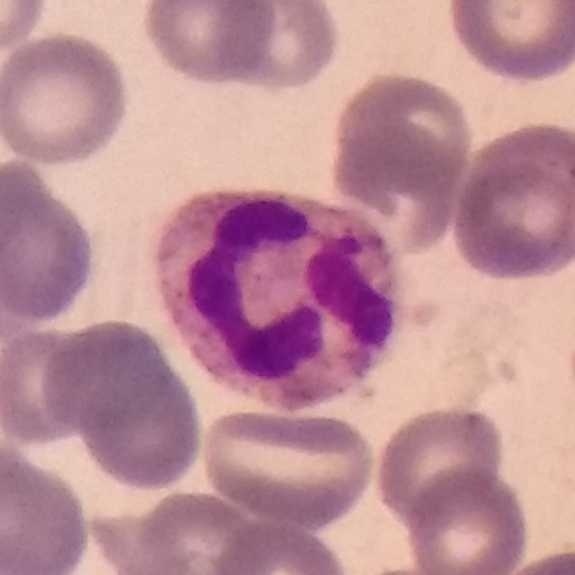
White blood cell type: neutrophil.